Peripheral blood film. Magnification 100×
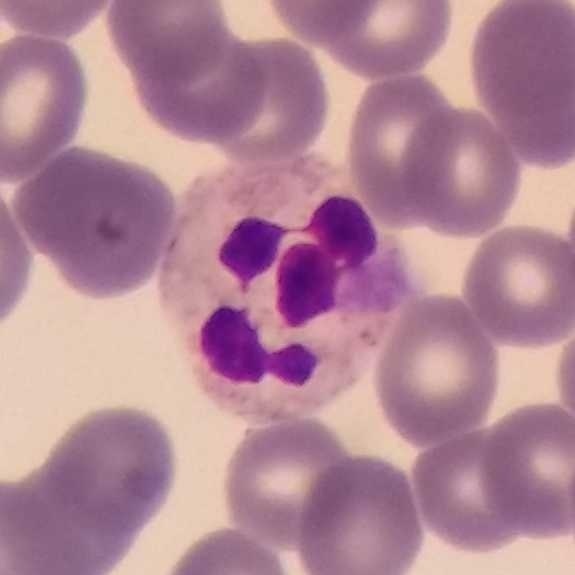 Neutrophilic granulocyte.